Peripheral blood film: 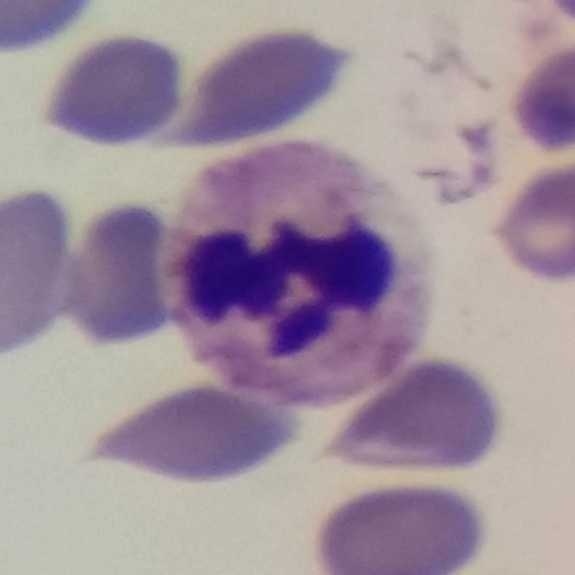

A neutrophil granulocyte.